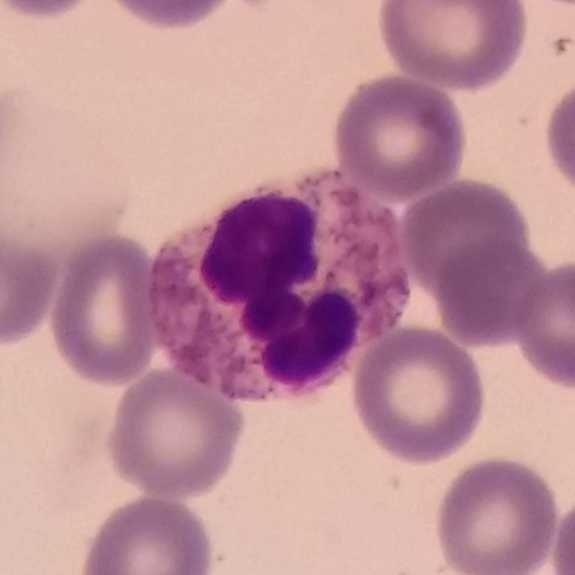
Morphology consistent with a neutrophil.
Context: Giemsa-stained · peripheral blood smear.